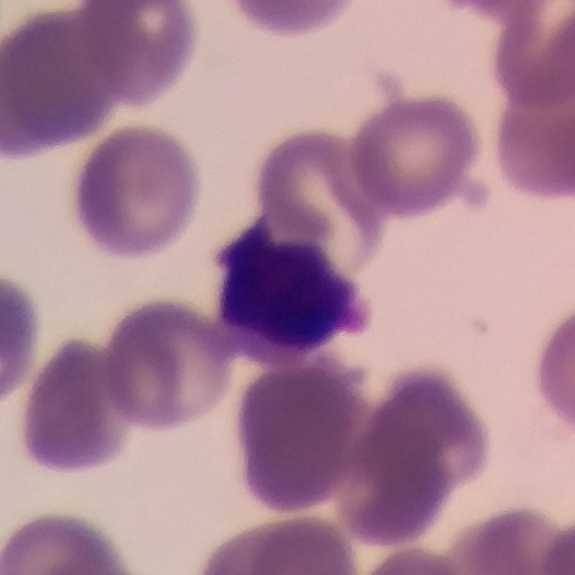 White blood cell type = lymphocyte. Image: Peripheral blood smear.